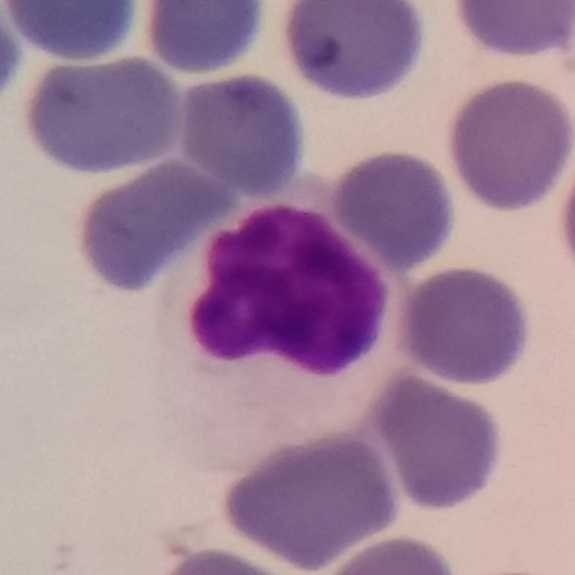Specimen: peripheral blood film.
Cell type: lymphocyte.
Lineage: lymphoid.

Context: 575×575 px.